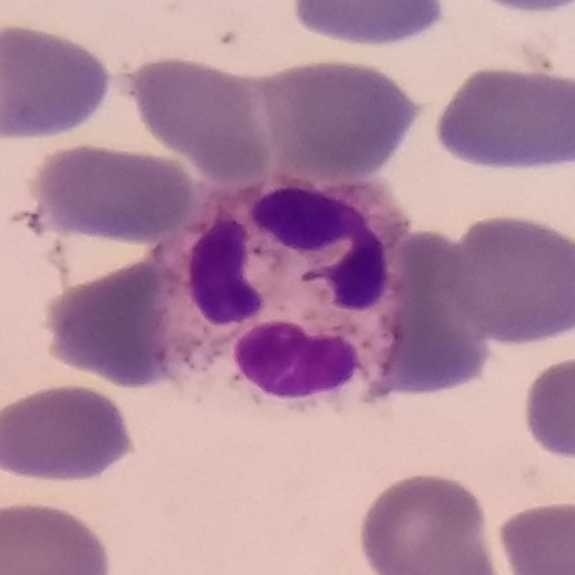The cell type is neutrophil.

Peripheral blood smear · imaged at 100× · single-cell field.